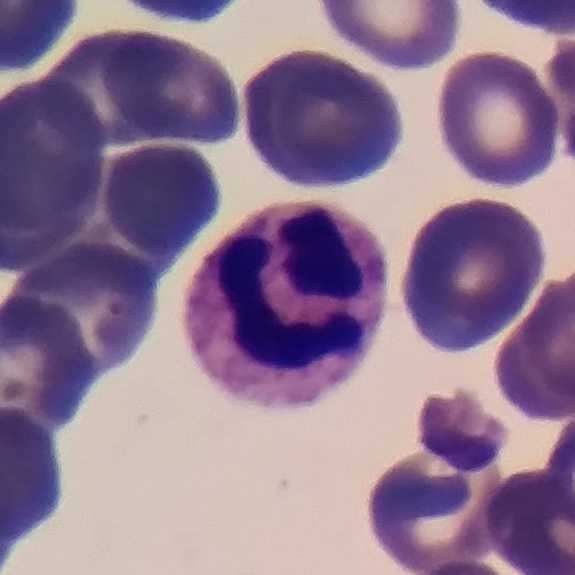 Showing a neutrophil granulocyte.
Peripheral blood smear. Single white blood cell cropped from the smear photograph. Stained with Giemsa.